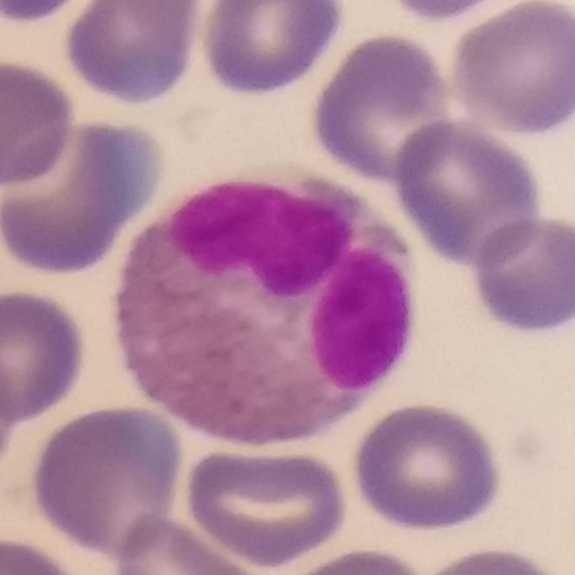 Image size 575×575. Specimen: peripheral blood smear.
Cell type: eosinophilic granulocyte.
Lineage: myeloid.